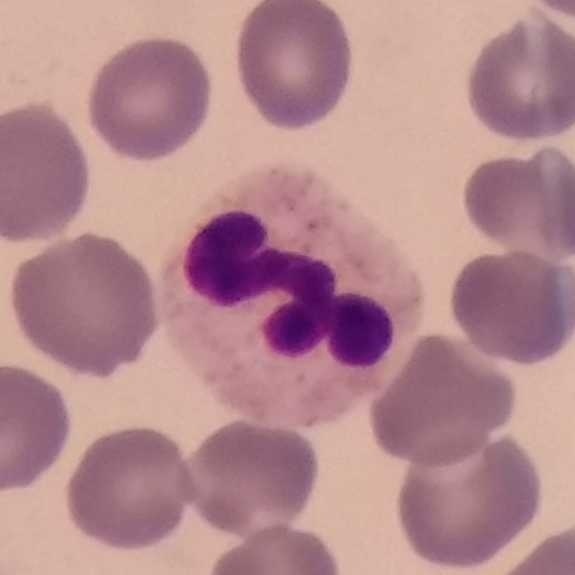Morphology — neutrophil.